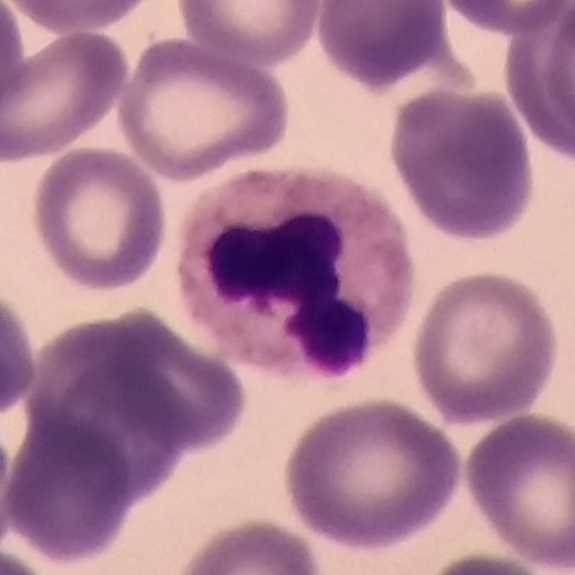 Single cell identified as a neutrophil.

Image: Peripheral blood smear.